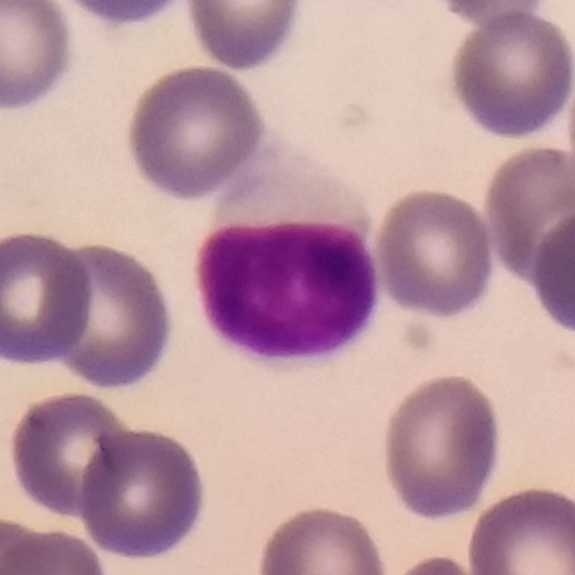Morphological class — lymphocyte.
Preparation: Peripheral blood smear · single-cell field · Giemsa-stained.